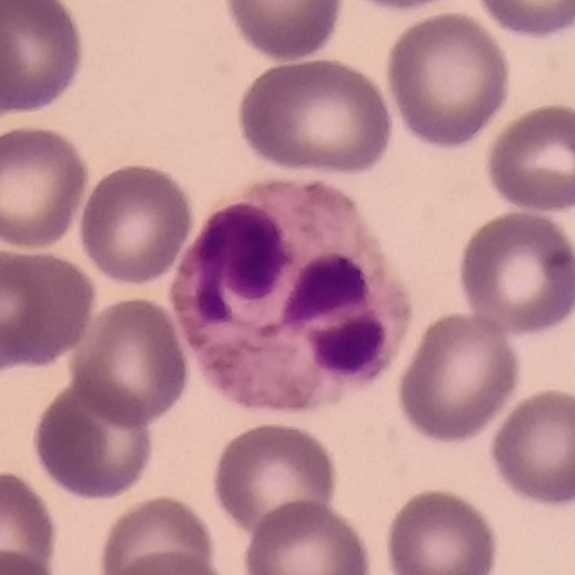 Q: What is shown here?
A: Neutrophil granulocyte.

Peripheral blood smear.